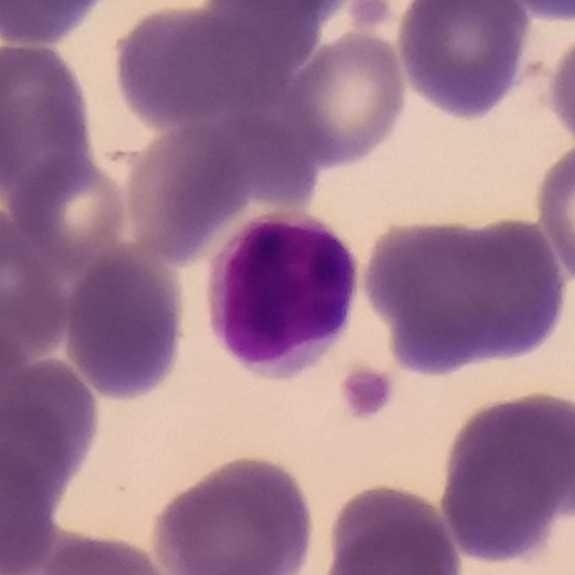 Context: 575×575; peripheral blood smear. Morphological class = lymphocyte.